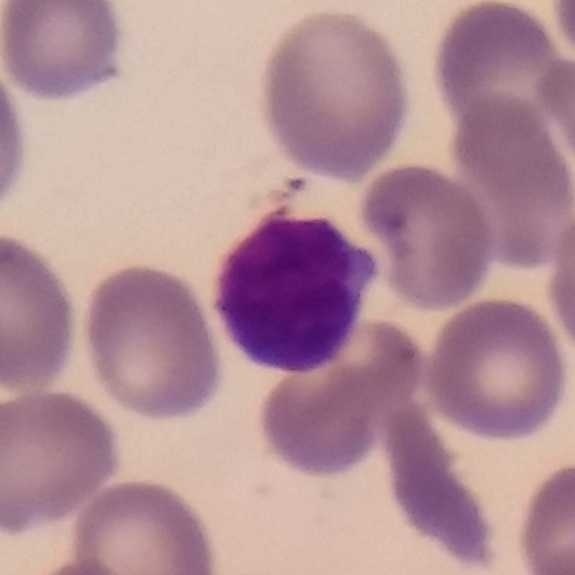
The white blood cell in this image is a lymphocyte. Context: Peripheral blood smear.